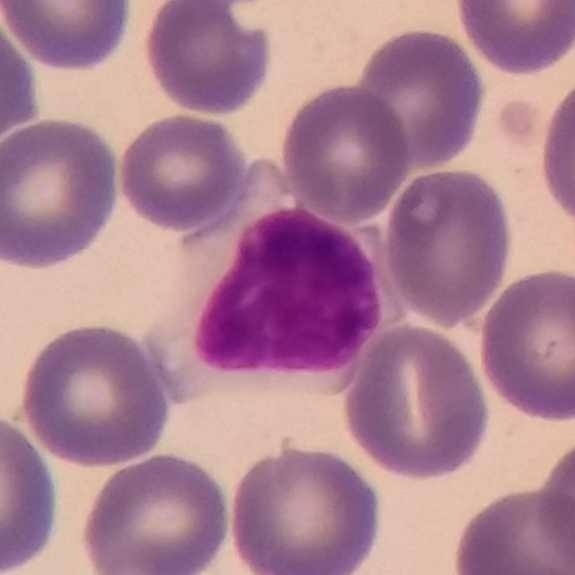Image: Peripheral blood film. The white blood cell in this image is a lymphocyte.